Peripheral blood film. 575 by 575 pixels — 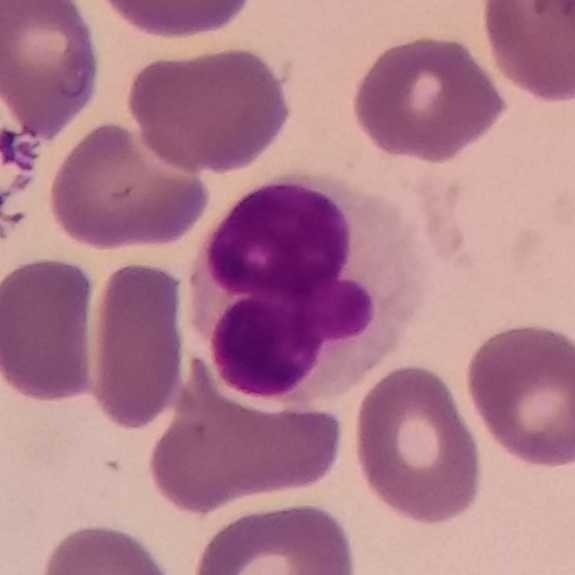 Q: What is the morphological classification of this cell?
A: Lymphocyte.